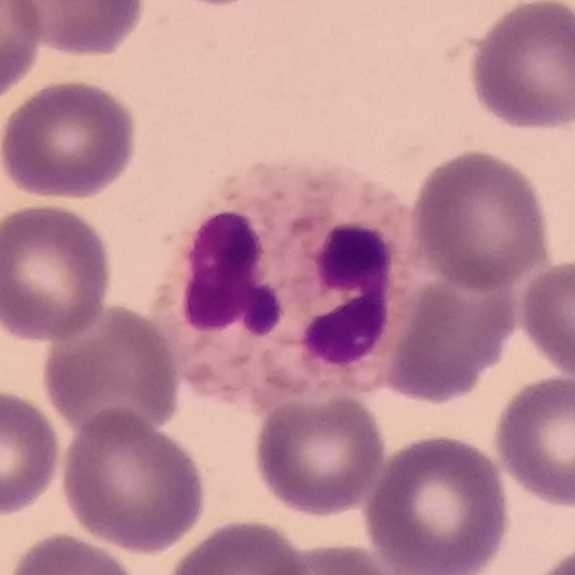
Peripheral blood smear showing a neutrophil granulocyte.